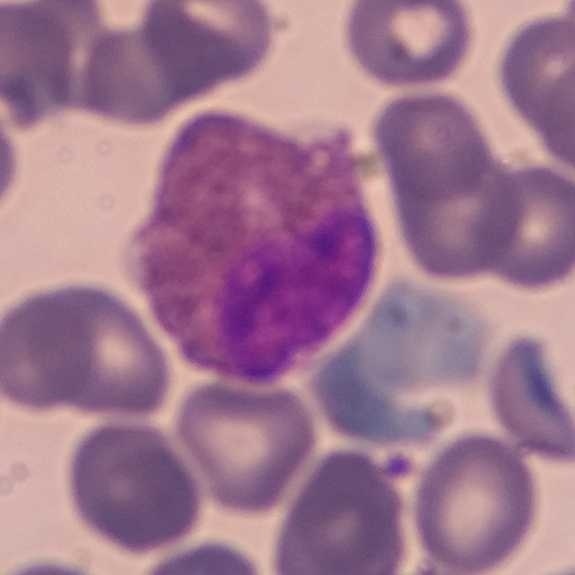

An eosinophilic granulocyte on a peripheral blood smear.